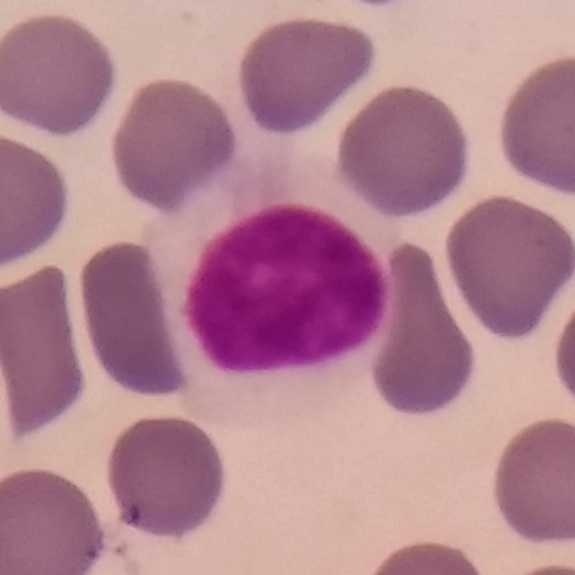

Image: Giemsa stain · peripheral blood film.
White blood cell type = lymphocyte.